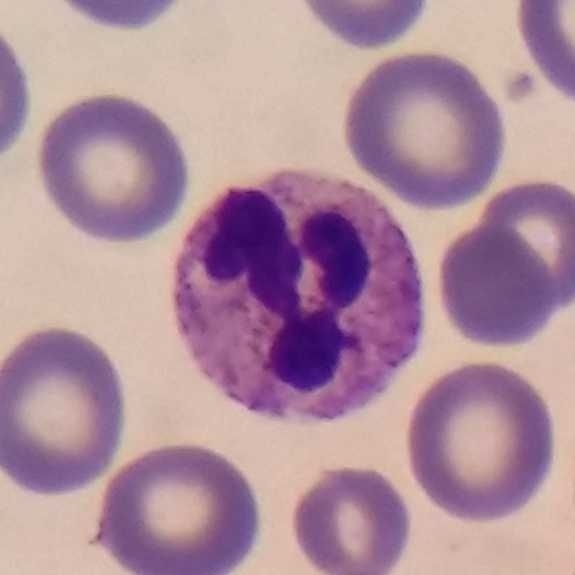Impression — neutrophilic granulocyte.

Image: Peripheral blood film.